Peripheral blood film; magnification 100× — 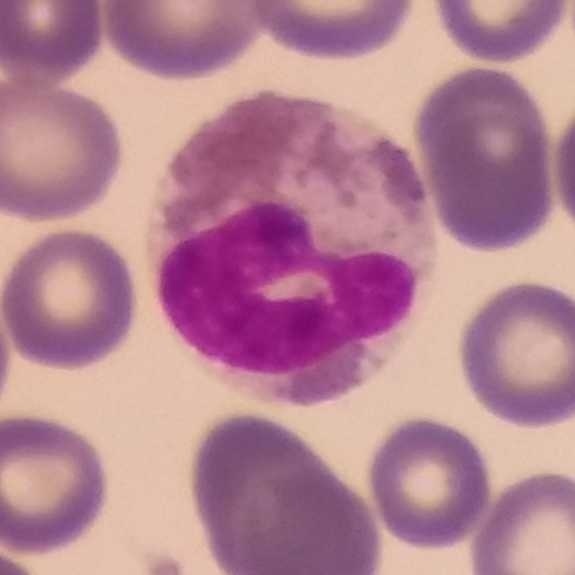
Single cell identified as an eosinophilic granulocyte.